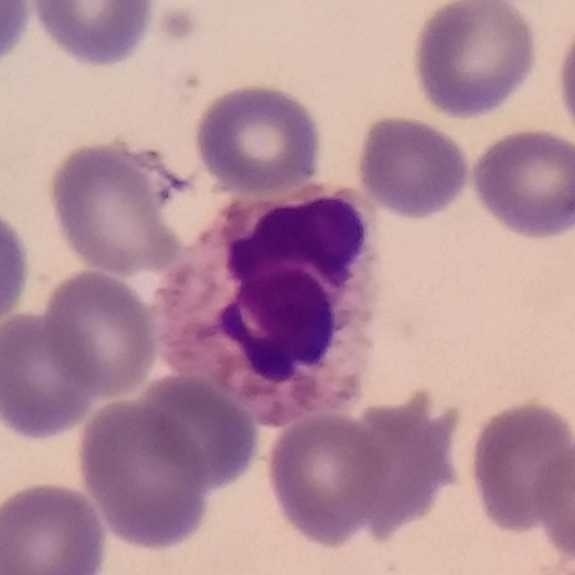 A neutrophil.

Context: Peripheral blood film. Stained with Giemsa.